Peripheral blood film · photographed through a light microscope with a smartphone camera: 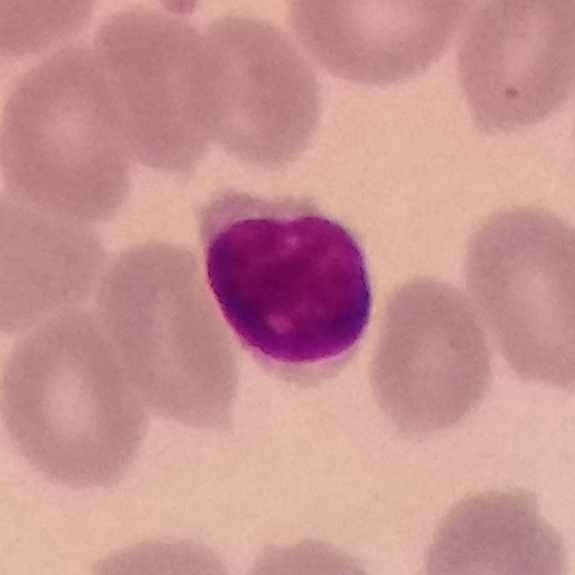Specimen: peripheral blood film.
White blood cell type: lymphocyte.
Lineage: lymphoid.